Stained with Giemsa; peripheral blood film.
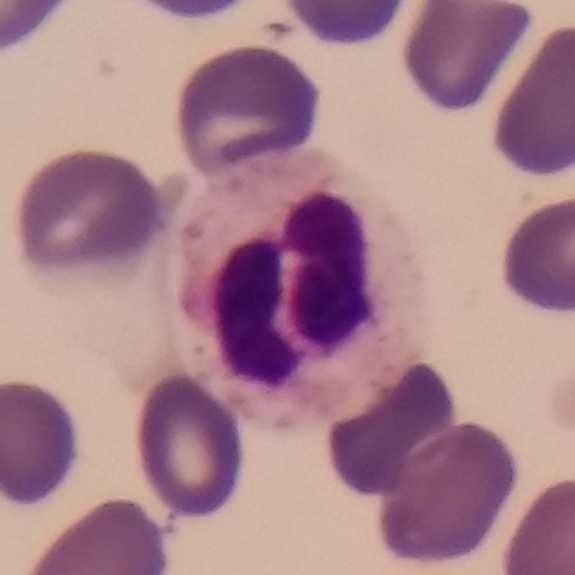 Identified as a neutrophil granulocyte.